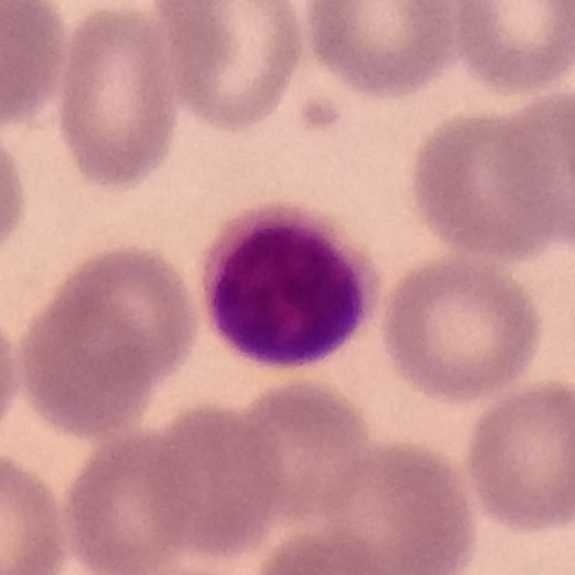

Peripheral blood smear showing a lymphocyte.